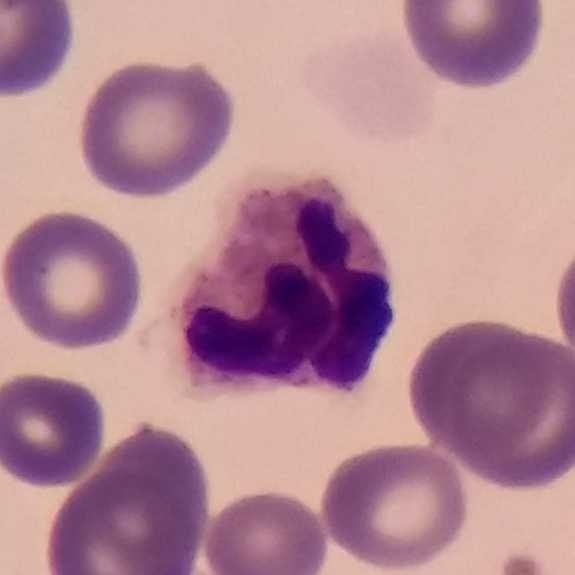 Context: Stained with Giemsa. Peripheral blood film.
Single cell identified as a neutrophil.